Image size 575×575; photographed through a light microscope with a smartphone camera; peripheral blood film:
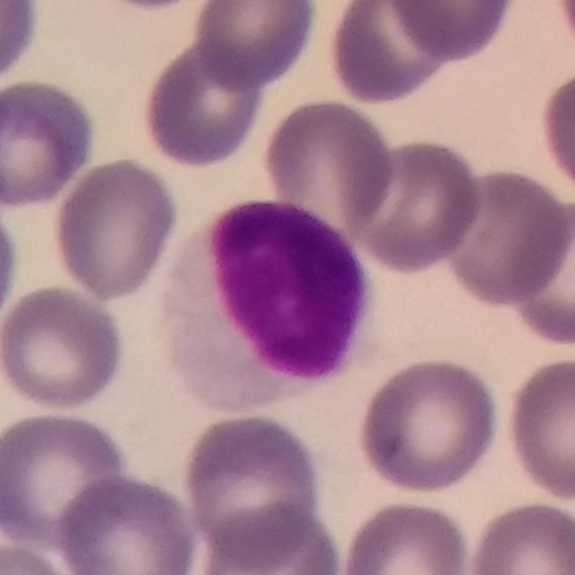
{"cell_type": "lymphocyte"}